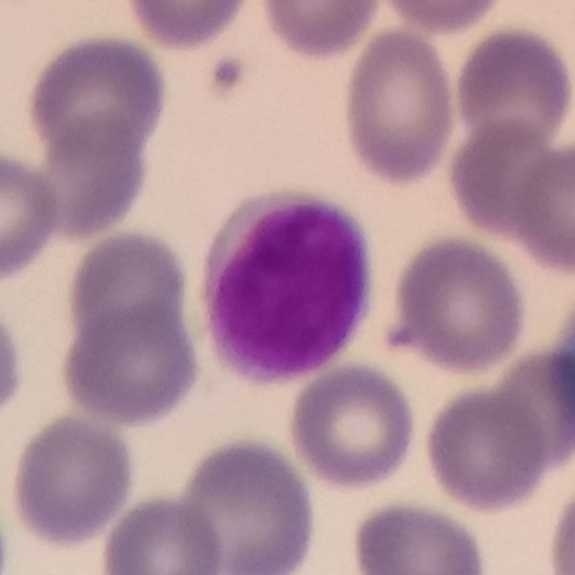

Specimen: peripheral blood film.
White blood cell type: lymphocyte.
Lineage: lymphoid.